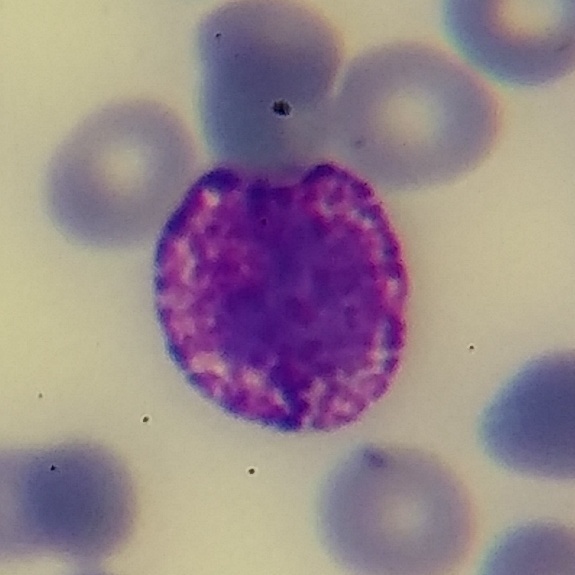

Preparation: Peripheral blood film.
Cell — basophil.